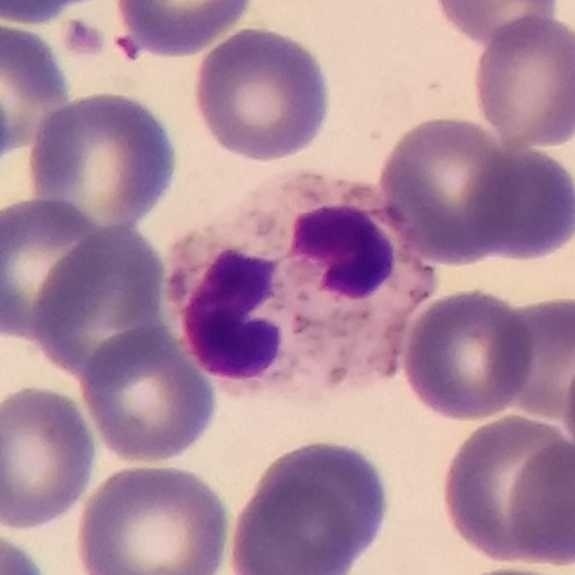

A neutrophil granulocyte. Image size 575×575 · phone-camera image taken through the microscope ocular · peripheral blood film.